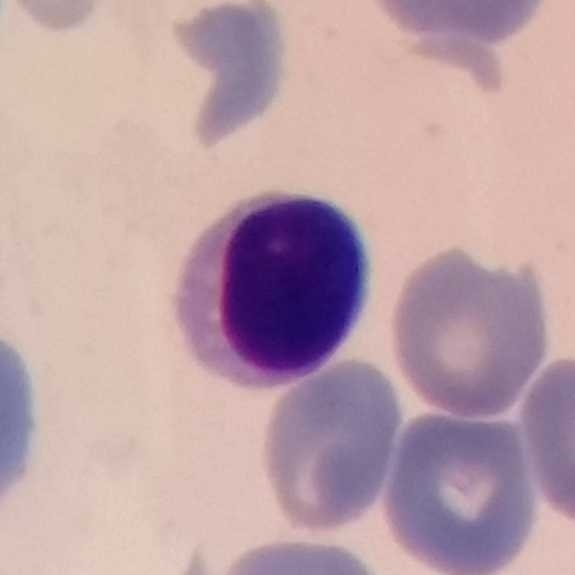 Preparation: Peripheral blood smear.

White blood cell type: lymphocyte.